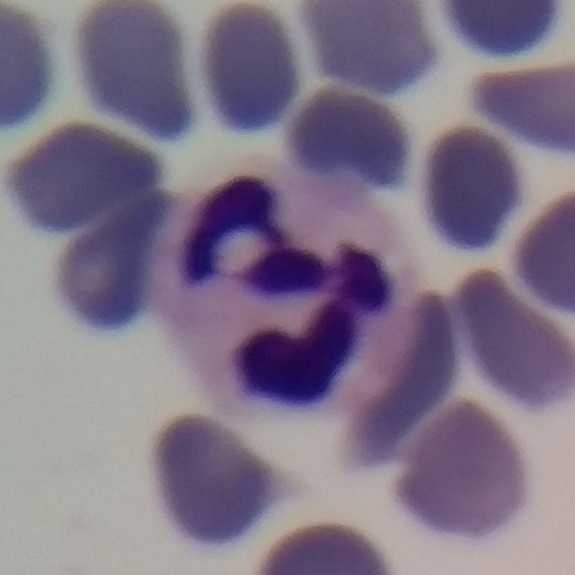

Context: Photographed through a light microscope with a smartphone camera; Giemsa stain; peripheral blood smear.

A neutrophil granulocyte.